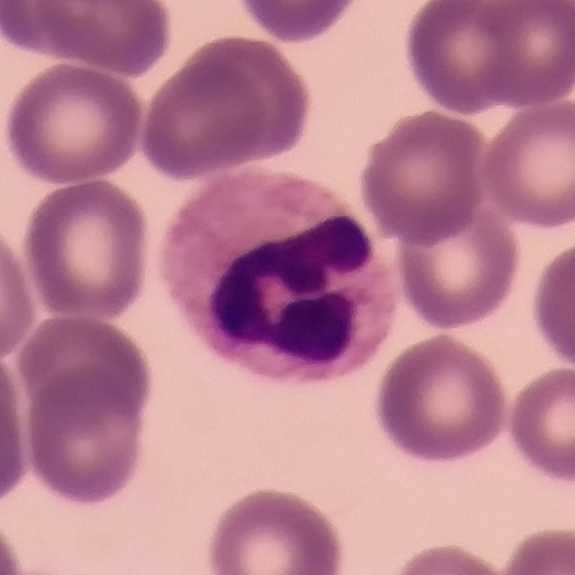Q: What is shown here?
A: A neutrophil.